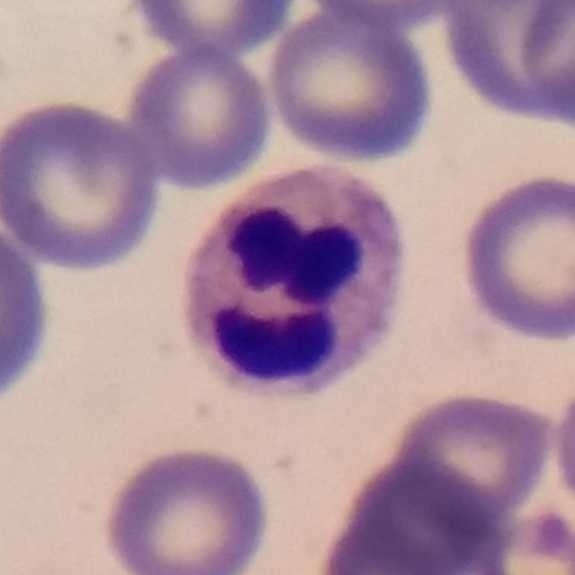 Preparation: Peripheral blood film. This is a neutrophil.